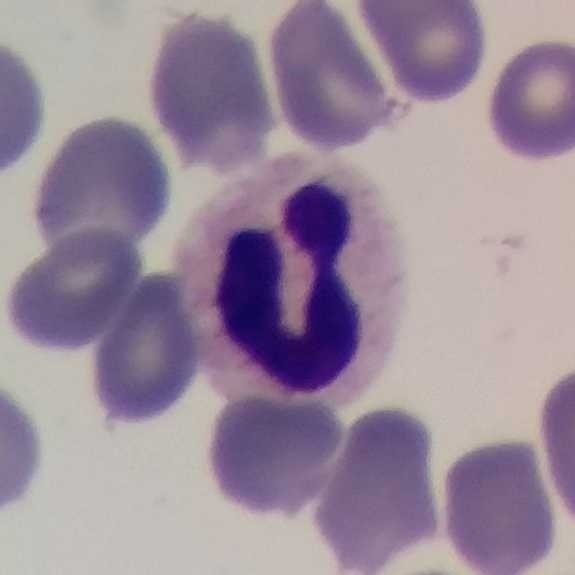
Q: Classify this leukocyte.
A: Neutrophilic granulocyte.